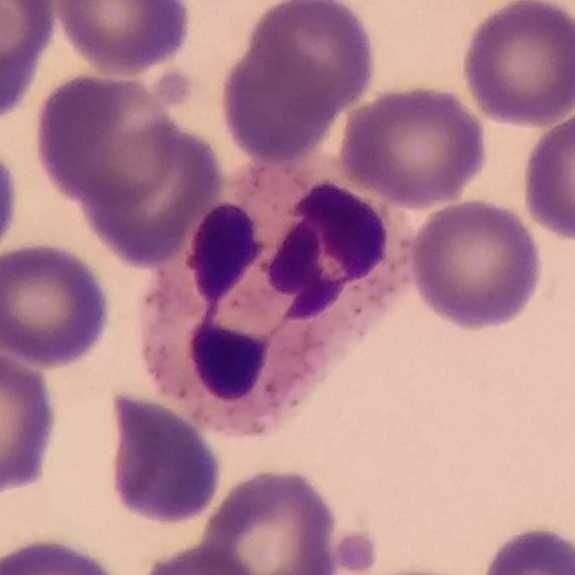

Specimen: peripheral blood film.
Classification: neutrophil.